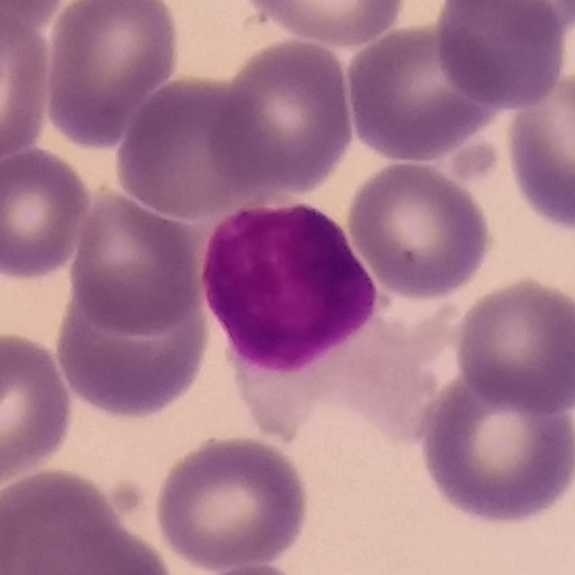Morphology — lymphocyte.